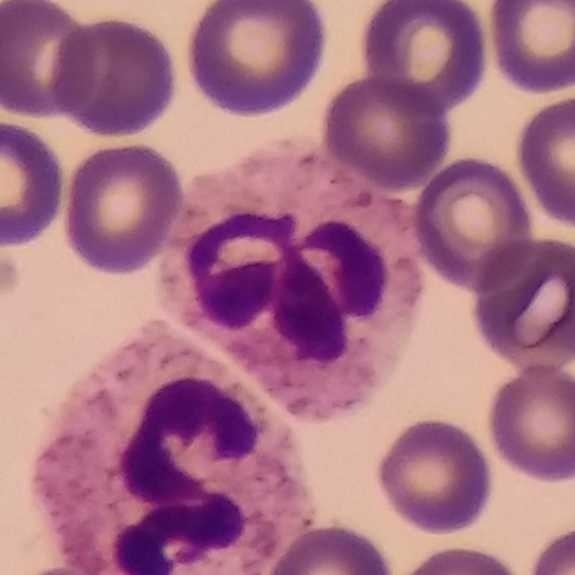 Identified as a neutrophilic granulocyte. Peripheral blood film.